Peripheral blood film — 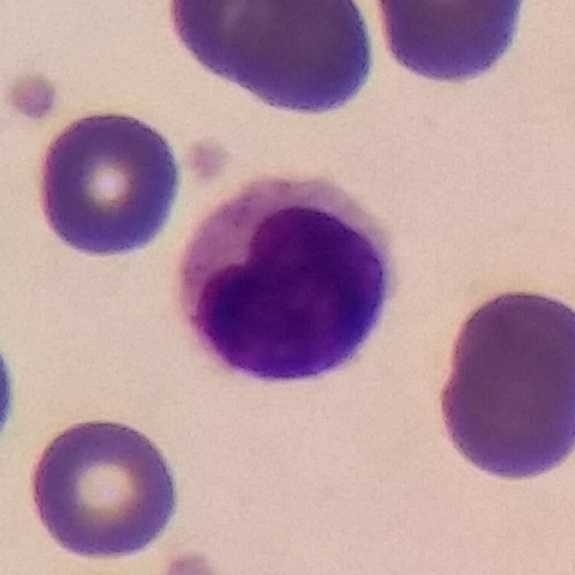Showing a lymphocyte.